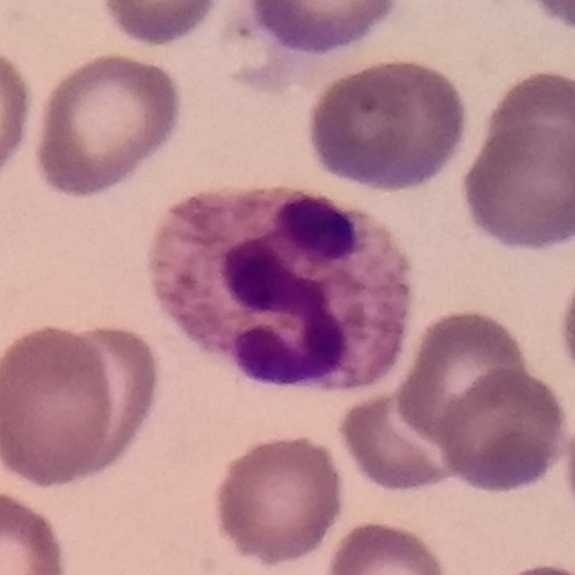
The white blood cell in this image is a neutrophil.